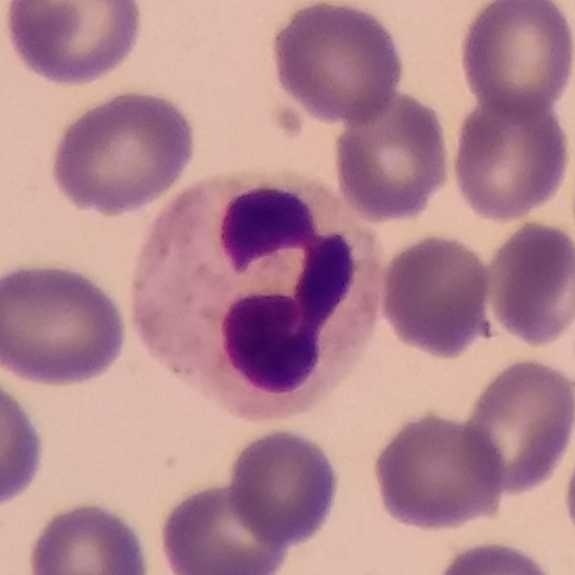
Cropped to one leukocyte; 575×575; peripheral blood film.
Morphology consistent with a neutrophil granulocyte.